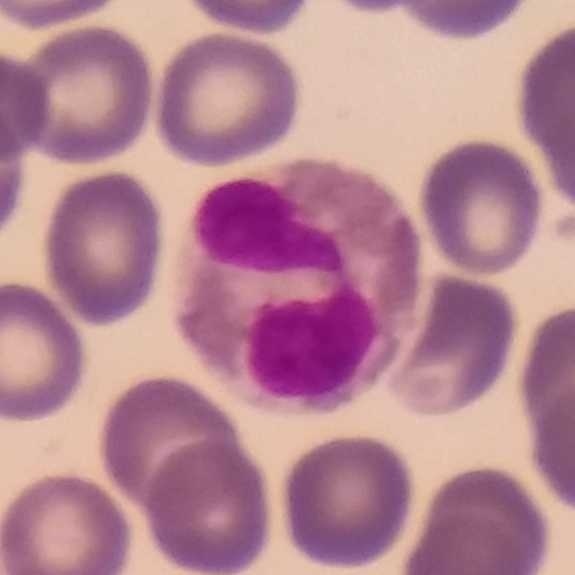 Peripheral blood smear showing an eosinophilic granulocyte.